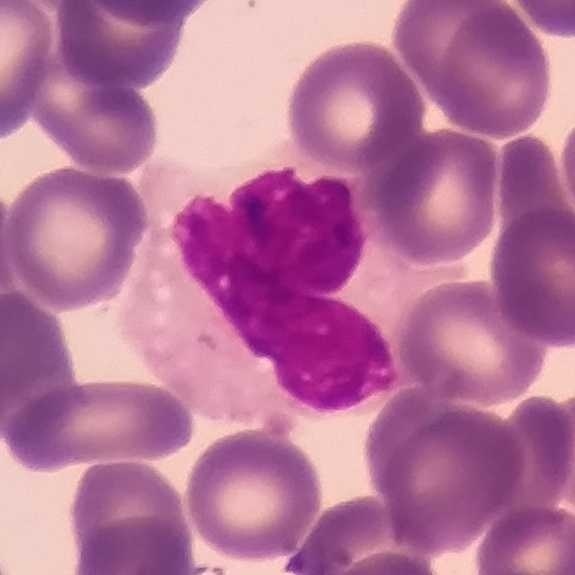
Morphology — monocyte.